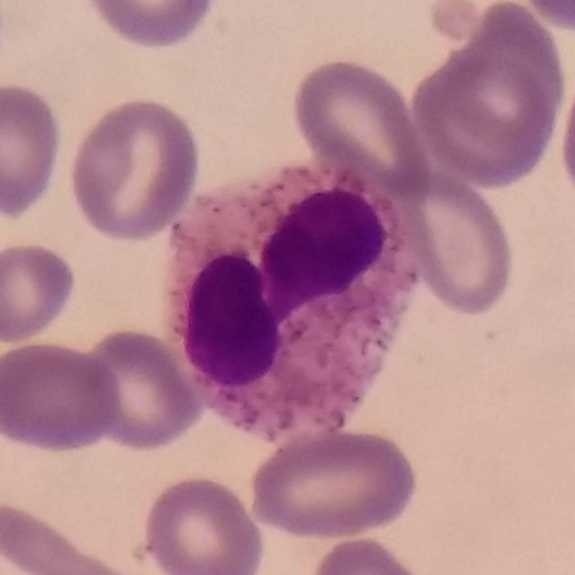Cell — neutrophilic granulocyte.

Preparation: Peripheral blood smear.